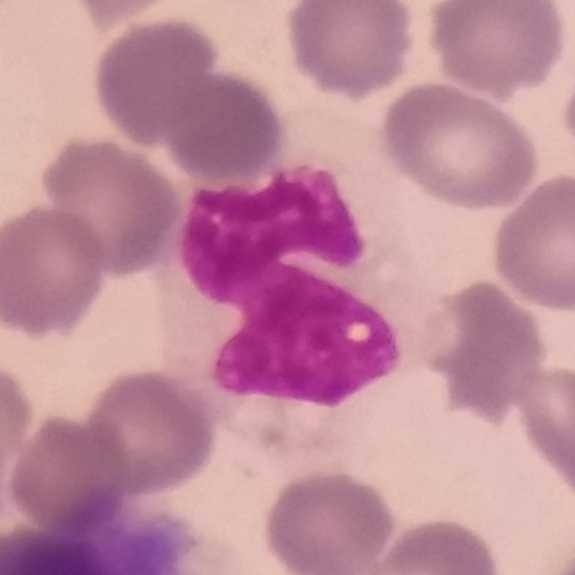The cell type is monocyte.